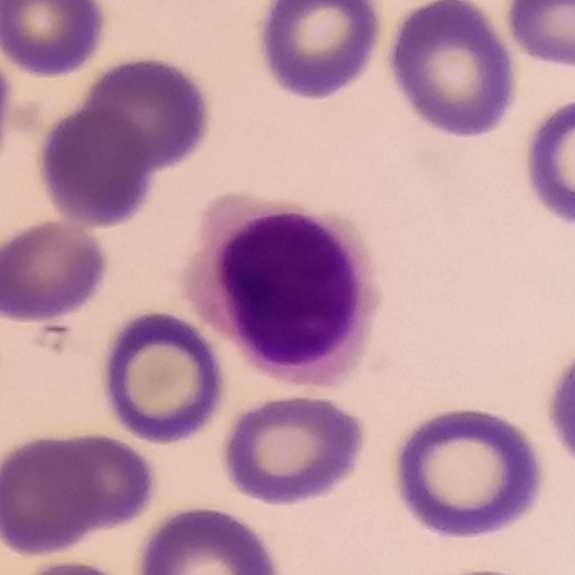Specimen: peripheral blood smear.
Morphological class: lymphocyte.